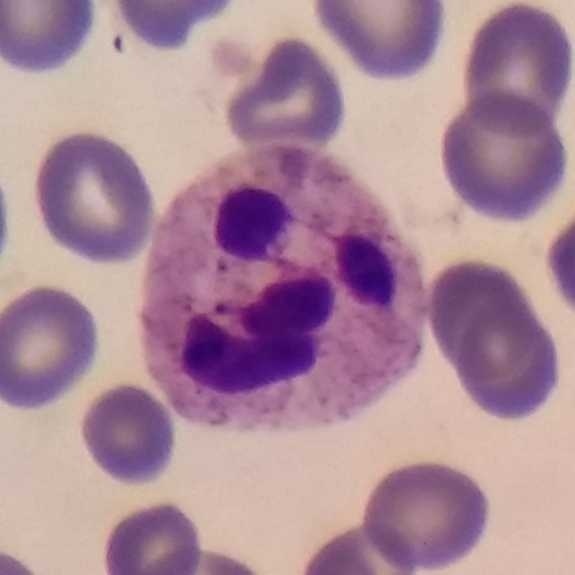

Neutrophil granulocyte.

Image: Peripheral blood smear.